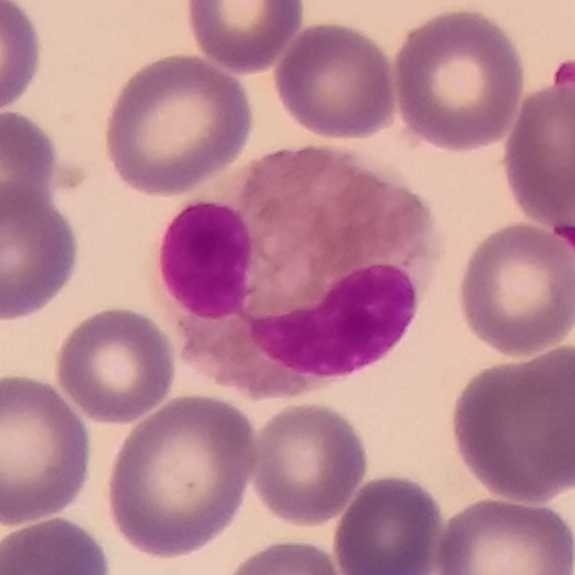
Image: Peripheral blood film.

{"cell_type": "eosinophil", "lineage": "myeloid"}